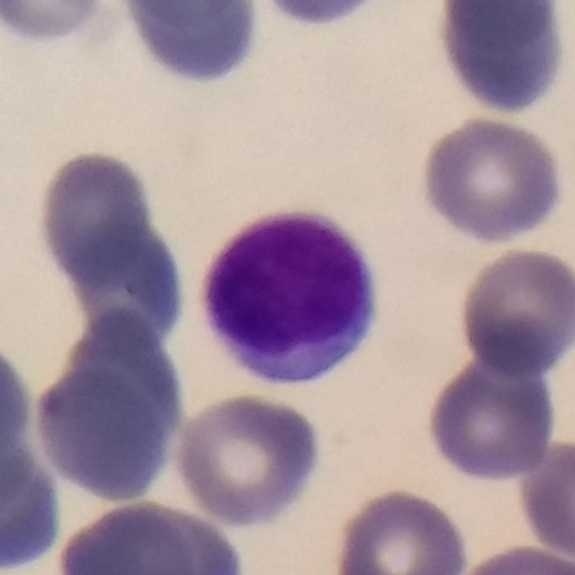

Morphology consistent with a lymphocyte.
Context: Peripheral blood film; cropped to one leukocyte.